Peripheral blood smear: 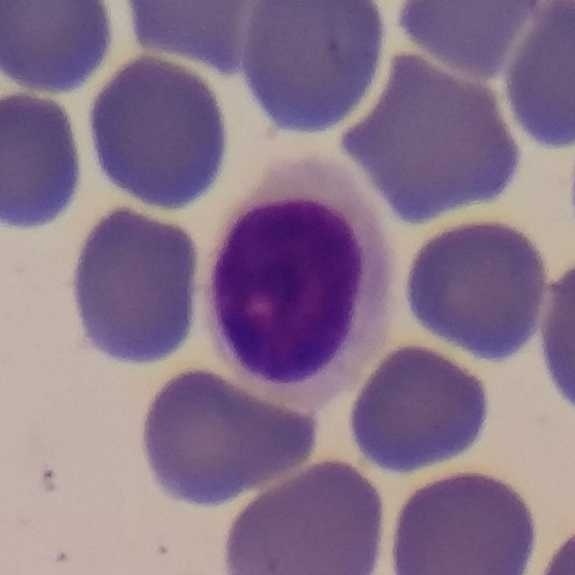The morphological class is lymphocyte.